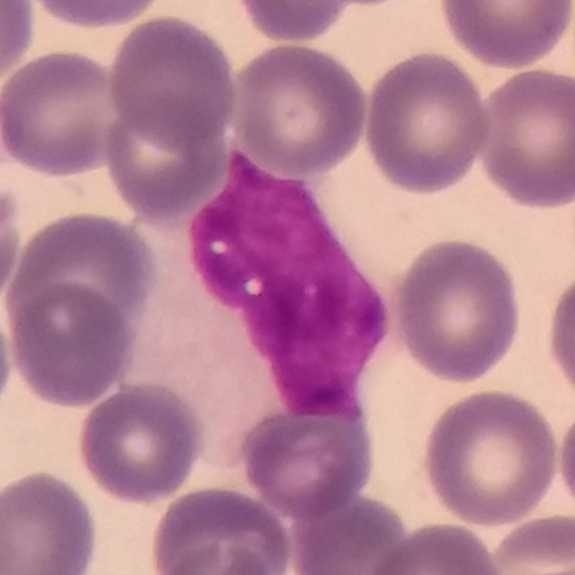

White blood cell type = monocyte.